Peripheral blood smear: 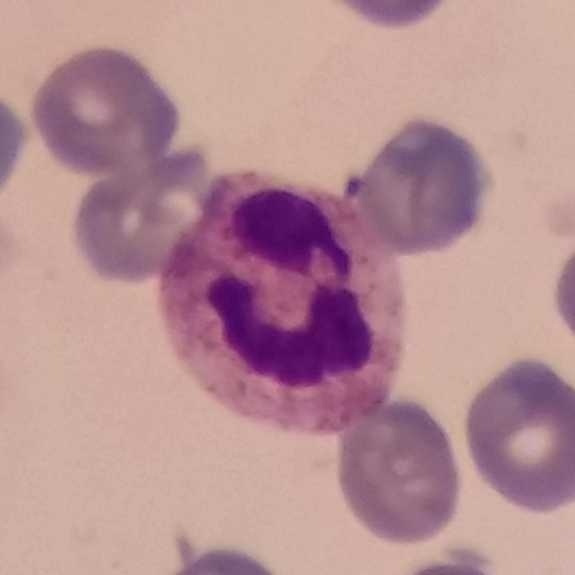Morphology consistent with a neutrophil.